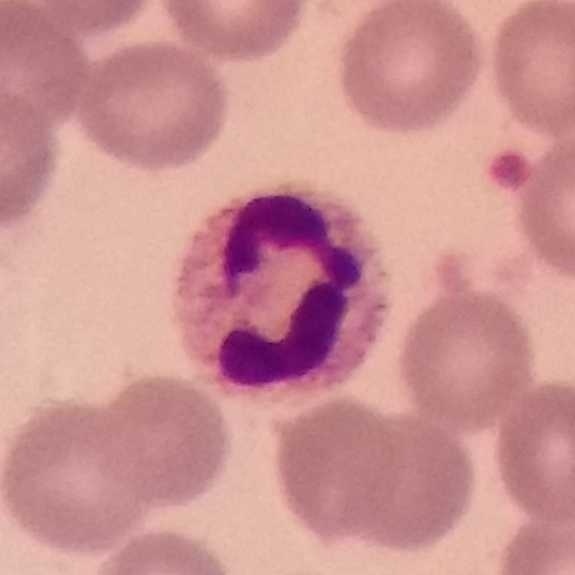
The white blood cell in this image is a neutrophilic granulocyte.

Image: Peripheral blood film.